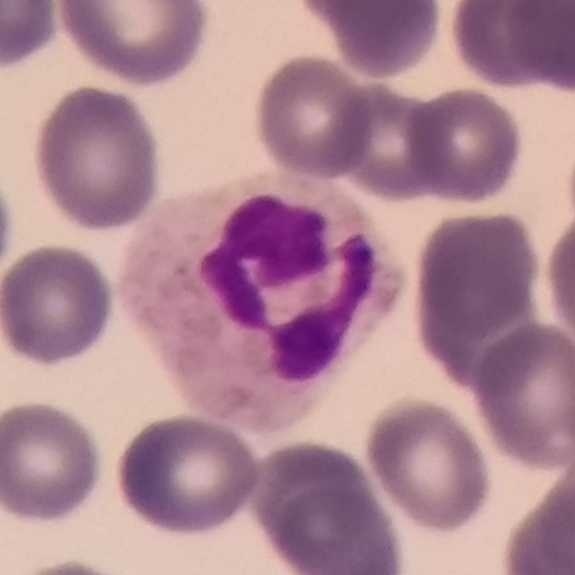White blood cell from a peripheral blood smear: neutrophil.